Peripheral blood smear. 575×575:
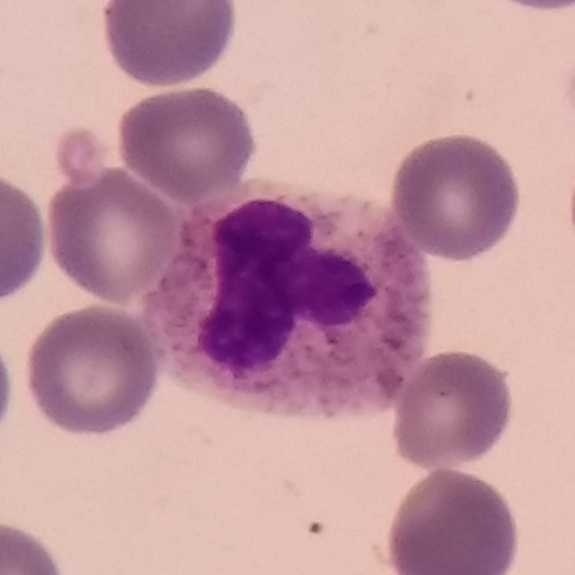
The white blood cell in this image is a neutrophilic granulocyte.